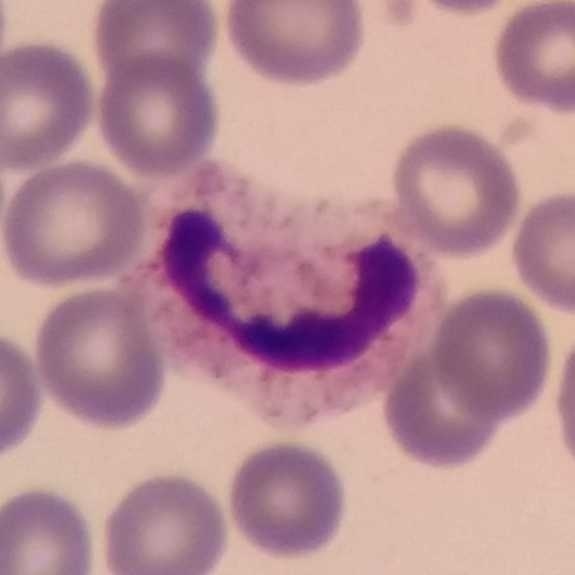

Context: Peripheral blood smear.

The white blood cell in this image is a neutrophil.